Peripheral blood smear: 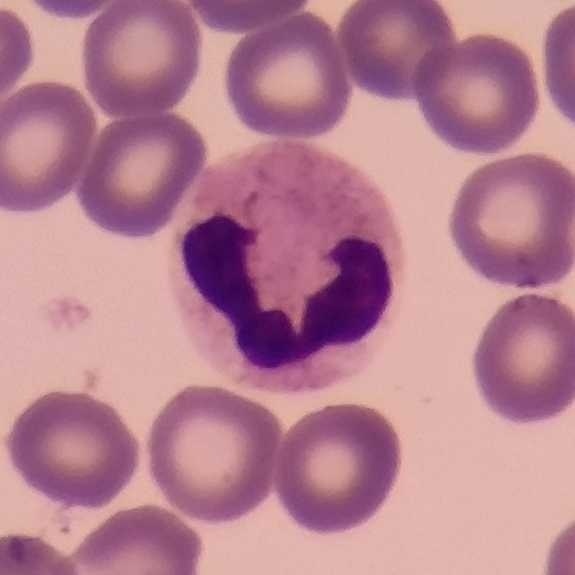The morphological class is neutrophil.